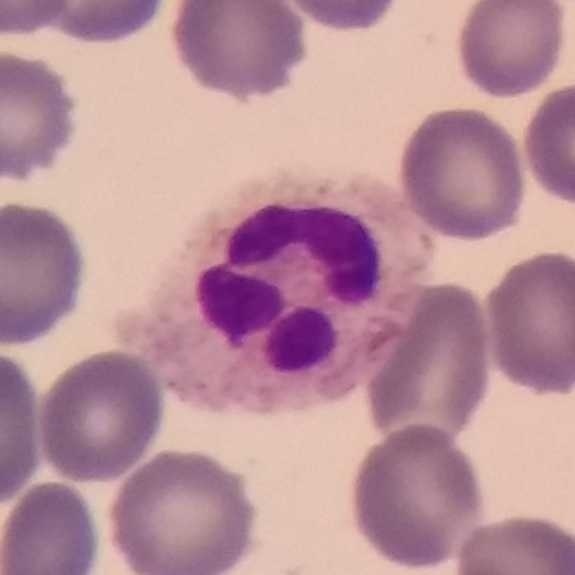

A neutrophilic granulocyte.
Acquisition: Peripheral blood film.